Peripheral blood film — 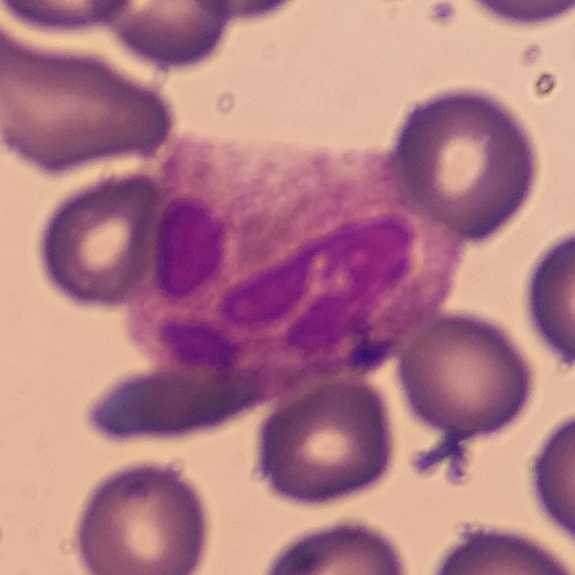Specimen: peripheral blood smear.
Morphological class: neutrophilic granulocyte.
Lineage: myeloid.